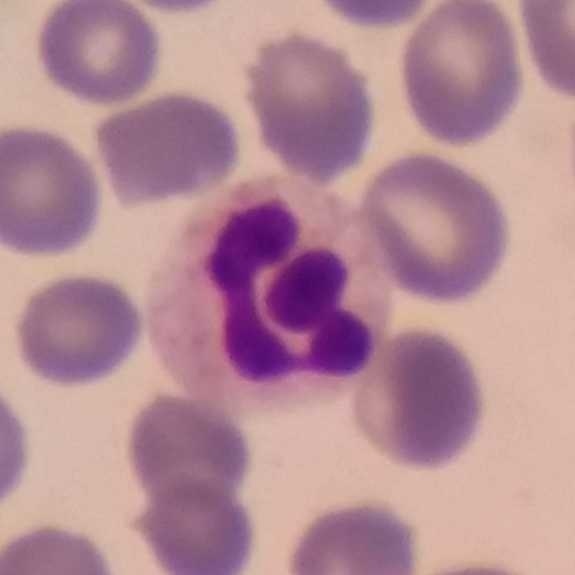

Peripheral blood film, single cell — neutrophilic granulocyte.